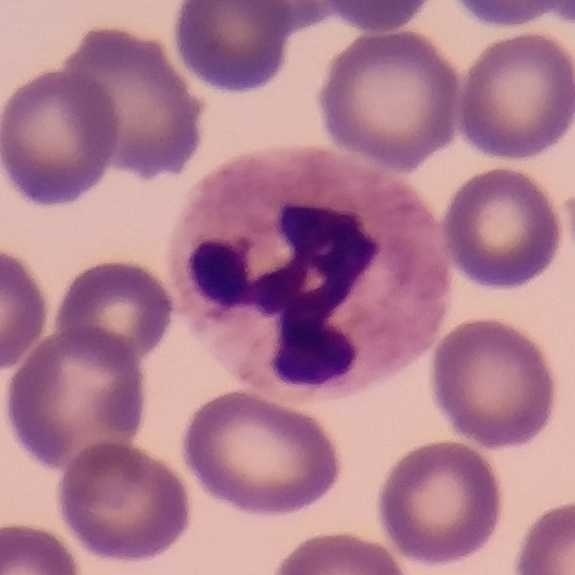 Specimen: peripheral blood smear.
White blood cell type: neutrophil.

Preparation: Stained with Giemsa; phone-camera image taken through the microscope ocular.